Peripheral blood smear.
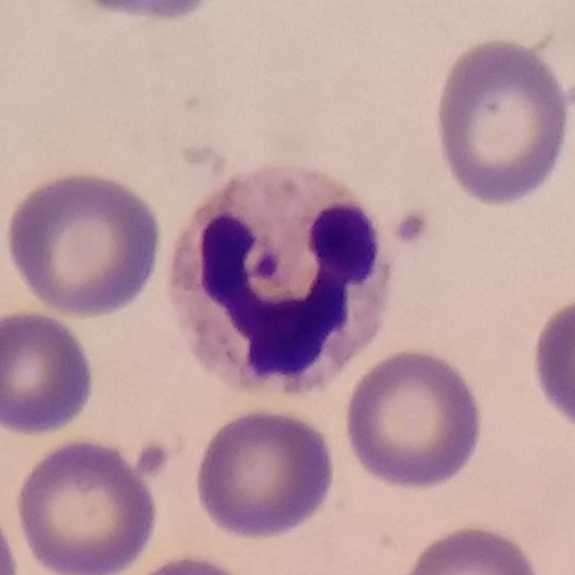 Morphological class: neutrophil granulocyte.